Smartphone photomicrograph; Giemsa stain; peripheral blood smear:
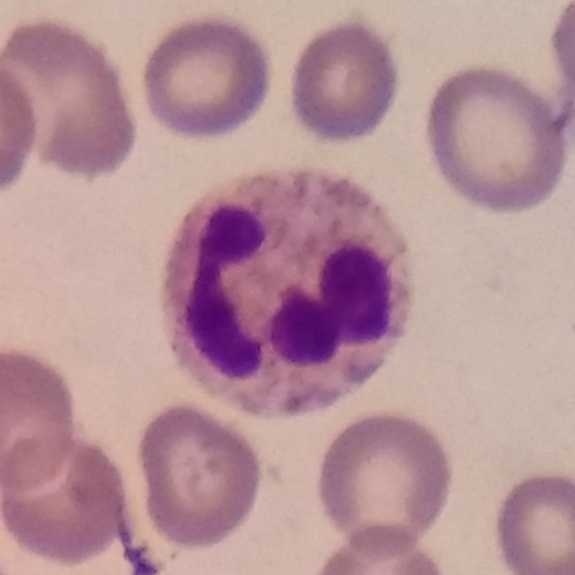 The cell is neutrophilic granulocyte.